575 by 575 pixels · peripheral blood film
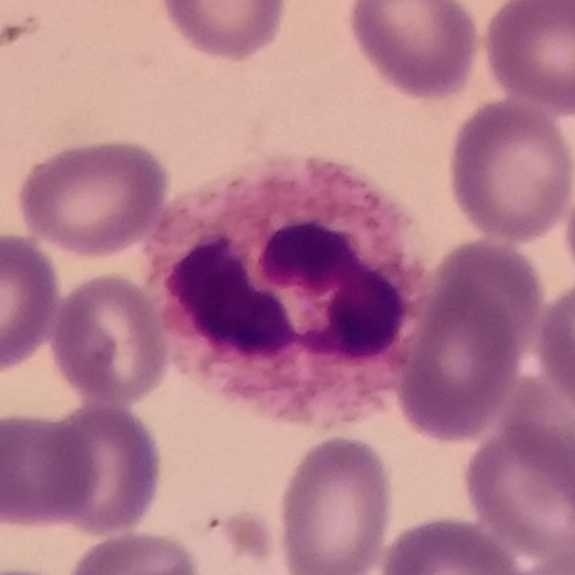
Q: What type of cell is this?
A: Neutrophilic granulocyte.